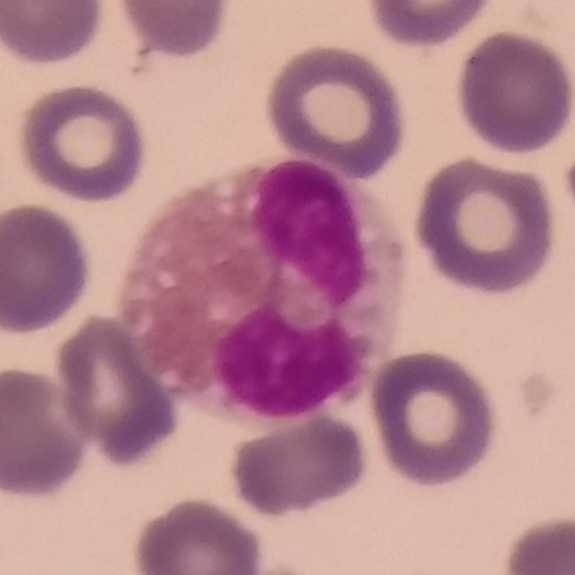An eosinophil.

Peripheral blood film; 575 by 575 pixels.